Peripheral blood film. Photographed through a light microscope with a smartphone camera — 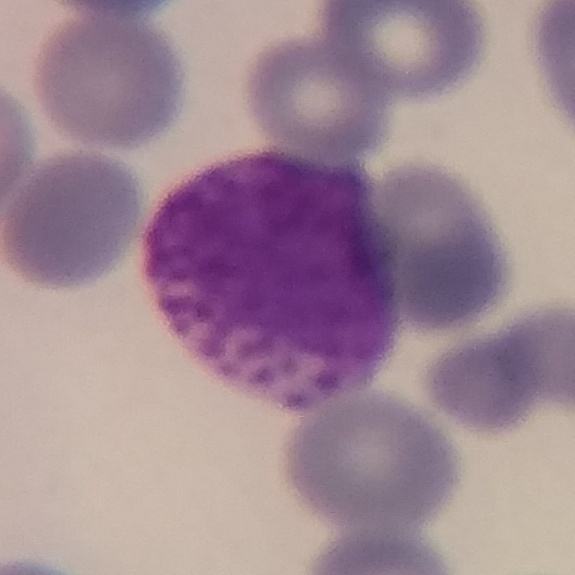 Morphology → basophilic granulocyte.